Peripheral blood film. Giemsa-stained. Cropped to one leukocyte
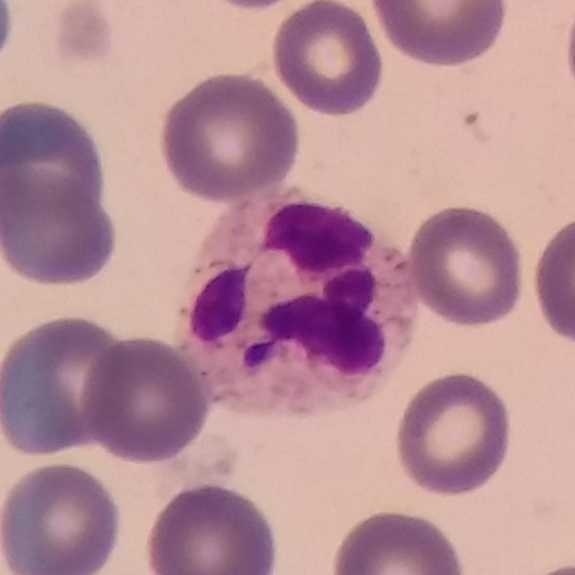Q: Which type of white blood cell is this?
A: This is a neutrophil granulocyte.